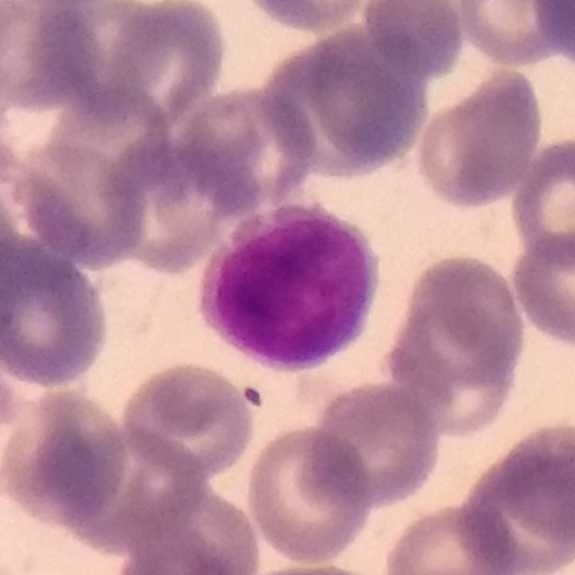Acquisition: Peripheral blood smear.
The white blood cell type is lymphocyte.